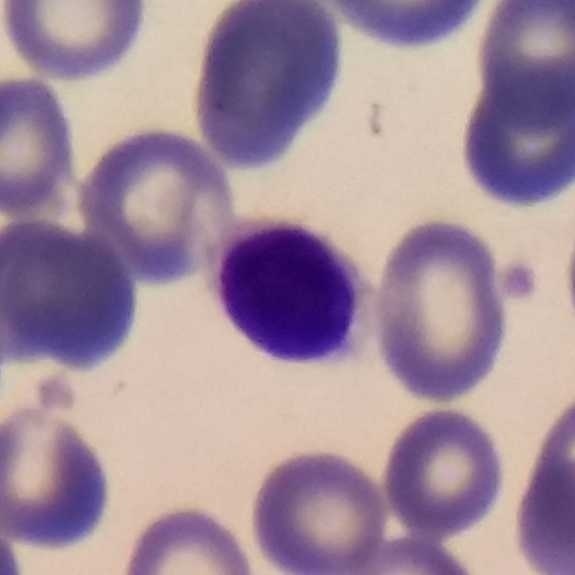
Single white blood cell cropped from the smear photograph. Peripheral blood smear.

Q: What is shown here?
A: Lymphocyte.